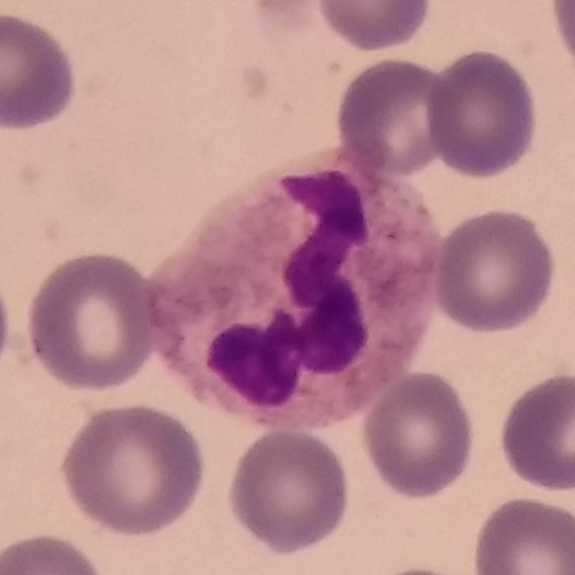

Impression → neutrophil granulocyte. Image: Peripheral blood smear.